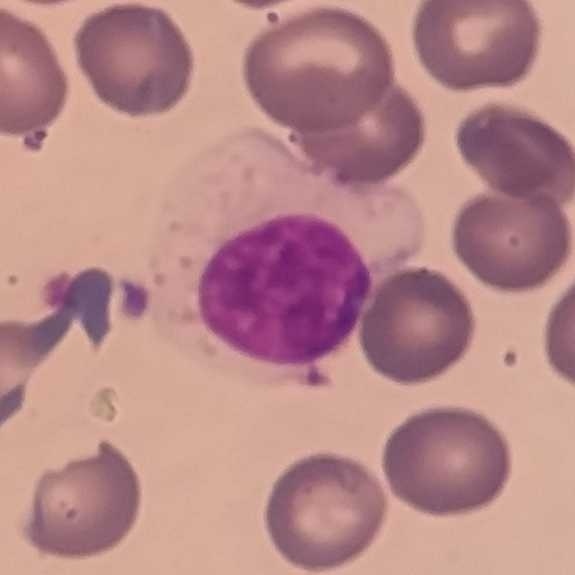
Context: Peripheral blood smear. Q: Identify the cell.
A: This is a lymphocyte.